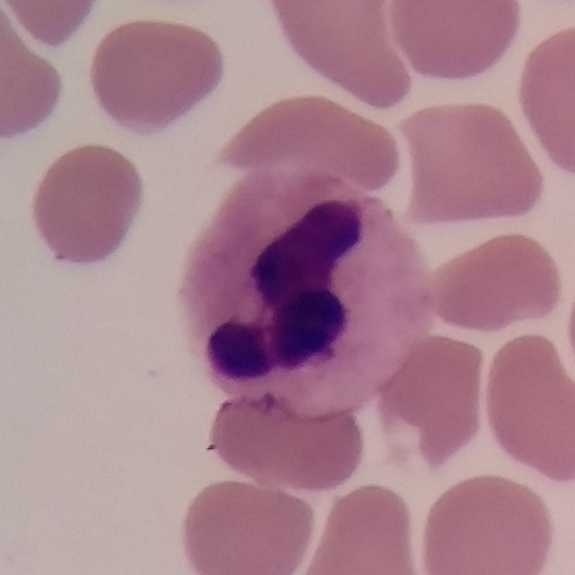
Peripheral blood smear.

Neutrophil granulocyte.